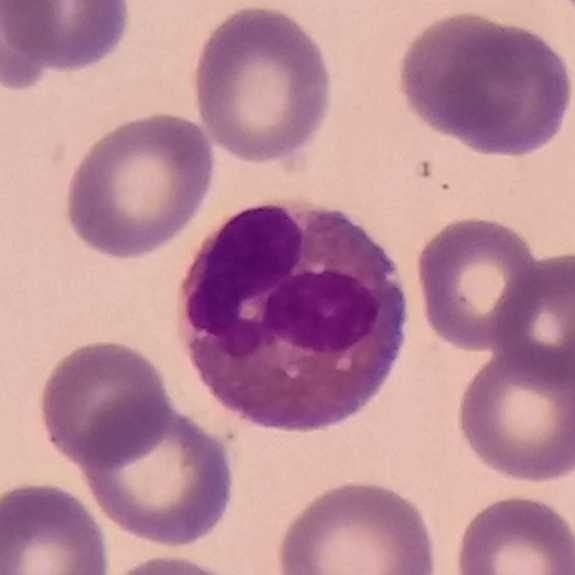The cell shown is an eosinophilic granulocyte.